Peripheral blood smear.
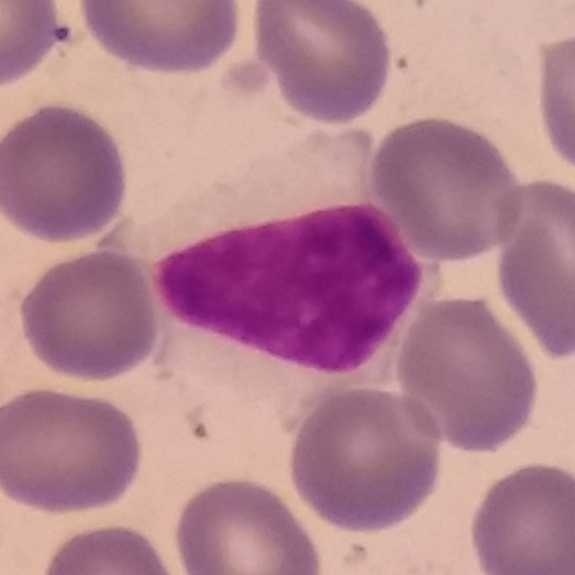The morphological class is lymphocyte.